Smartphone camera mounted on the microscope eyepiece. Peripheral blood film. Stained with Giemsa
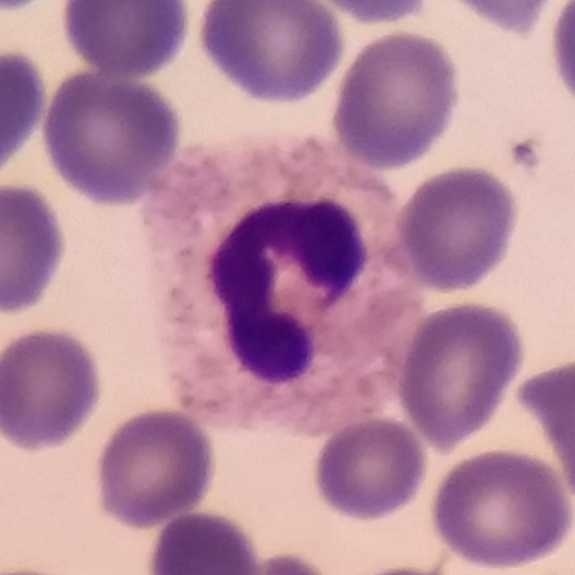Q: What is this?
A: This is a neutrophil.